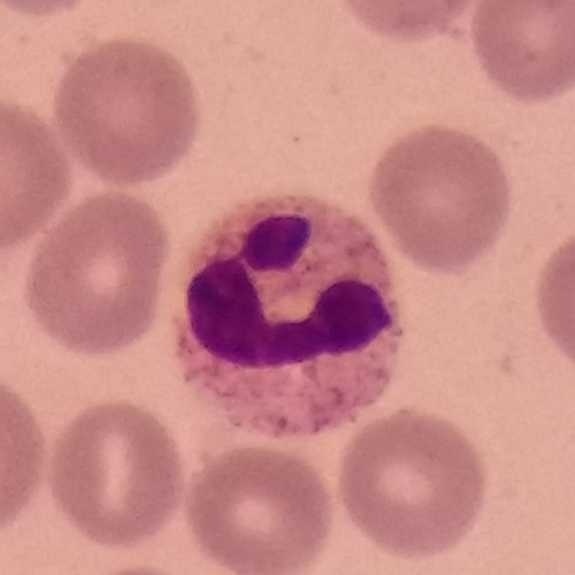

Cell type = neutrophilic granulocyte.